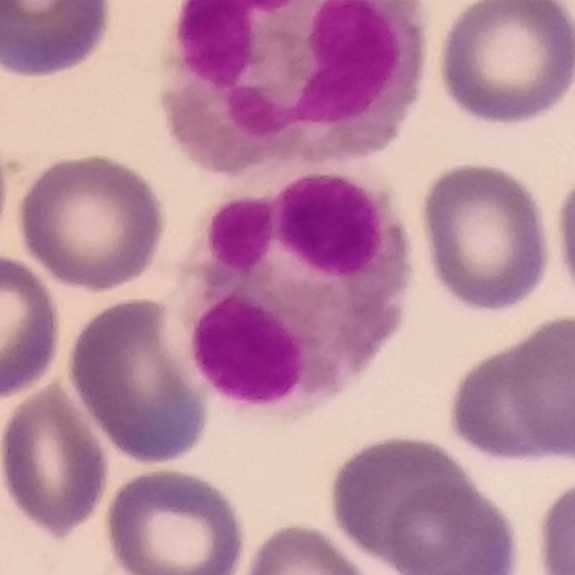
Image: 575 by 575 pixels; peripheral blood film; smartphone photomicrograph. Cell type: eosinophilic granulocyte.